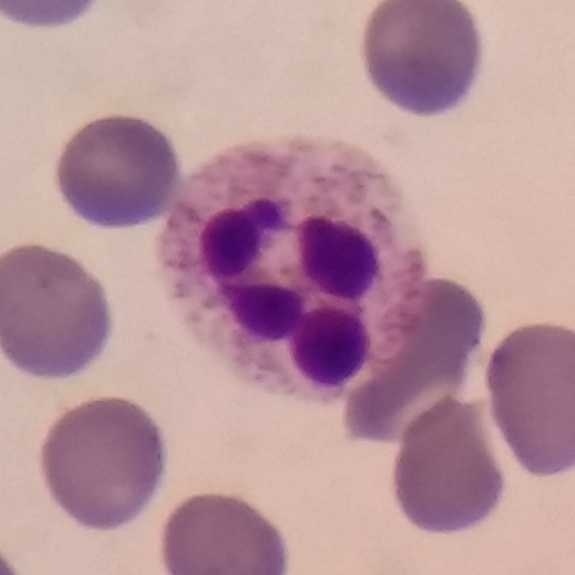
Specimen: peripheral blood film.
Cell: neutrophil.
Lineage: myeloid.